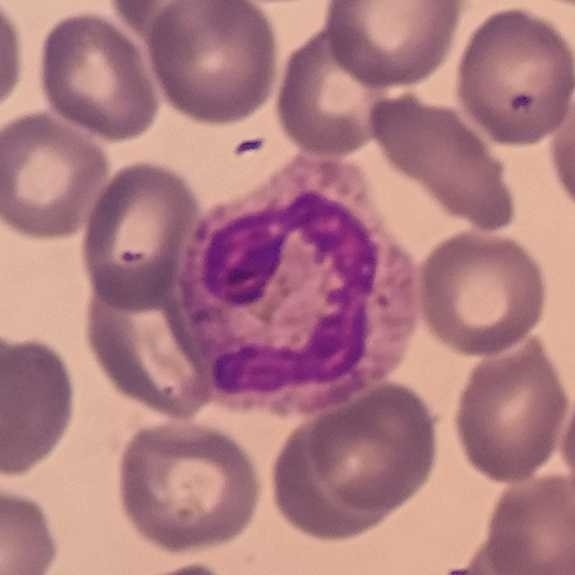
Morphology consistent with a neutrophil. Peripheral blood smear.